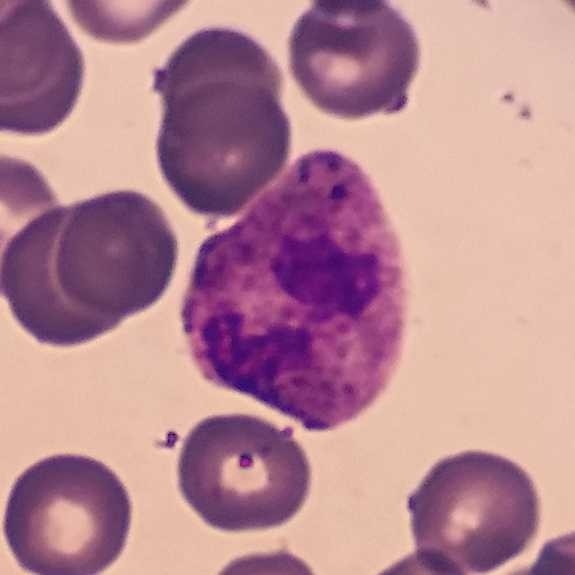

Single cell identified as a neutrophil.